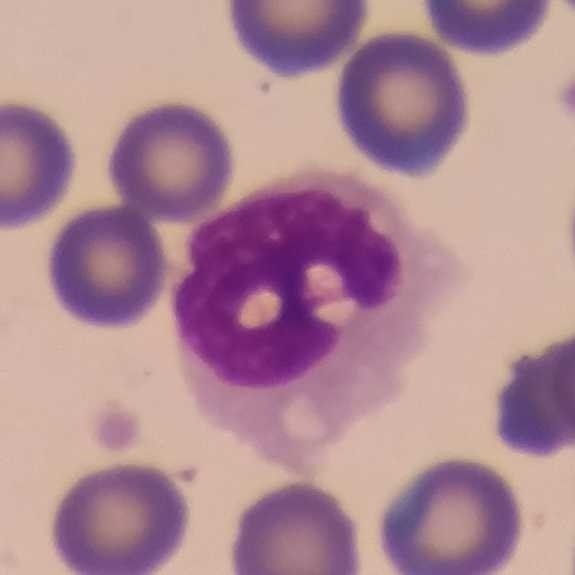
Showing a monocyte.

Peripheral blood smear.